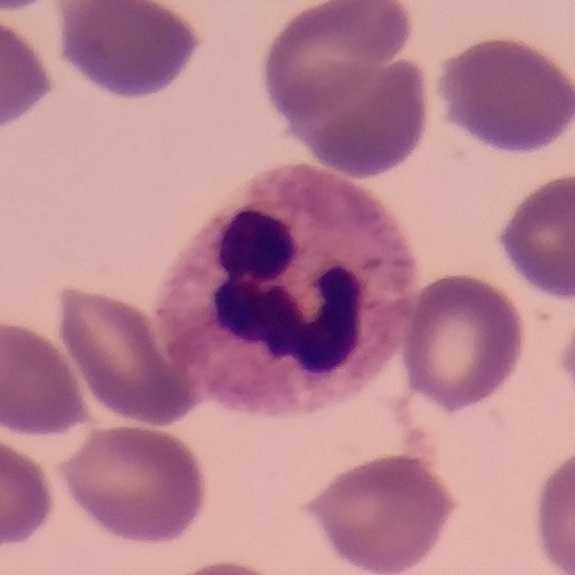This is a neutrophilic granulocyte.
Peripheral blood film.